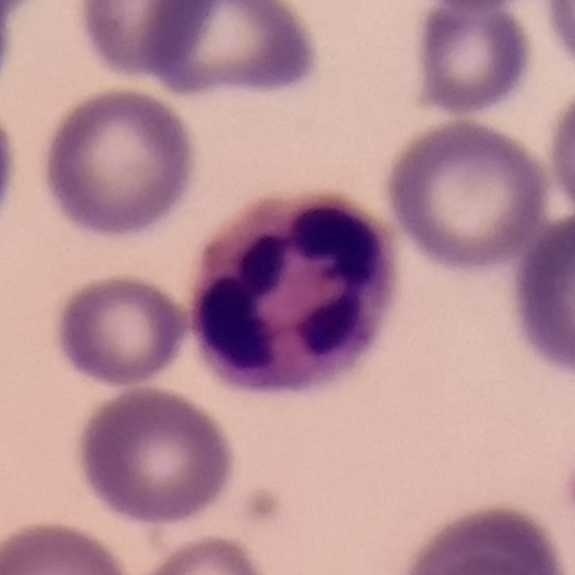
Acquisition: Imaged at 100×. Peripheral blood film.
Showing a neutrophil granulocyte.